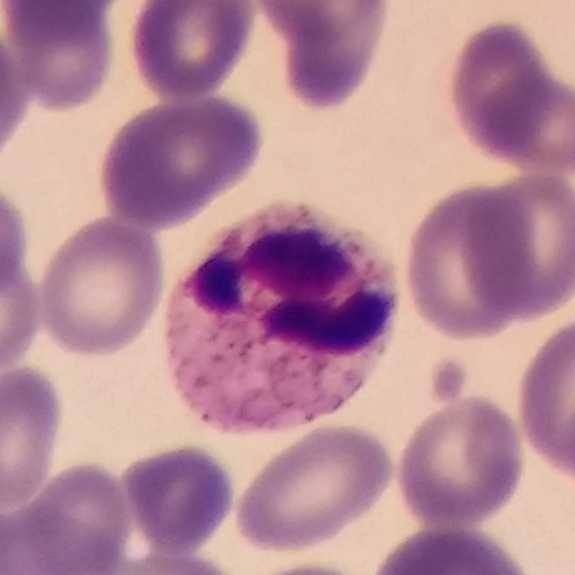 Neutrophilic granulocyte.